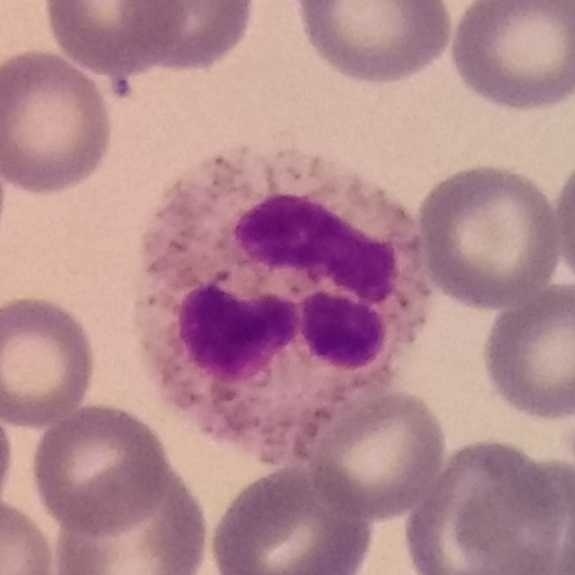 Q: Which type of white blood cell is this?
A: Neutrophil granulocyte.